Peripheral blood film. Magnification 100×
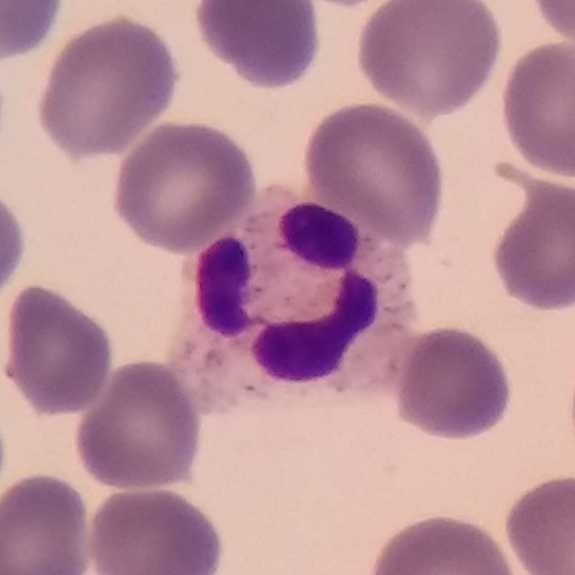 Neutrophilic granulocyte.